100× magnification. Peripheral blood smear: 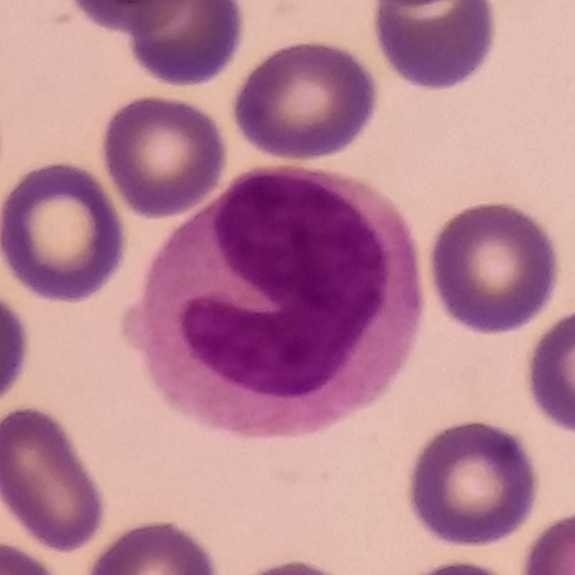

White blood cell type — monocyte.